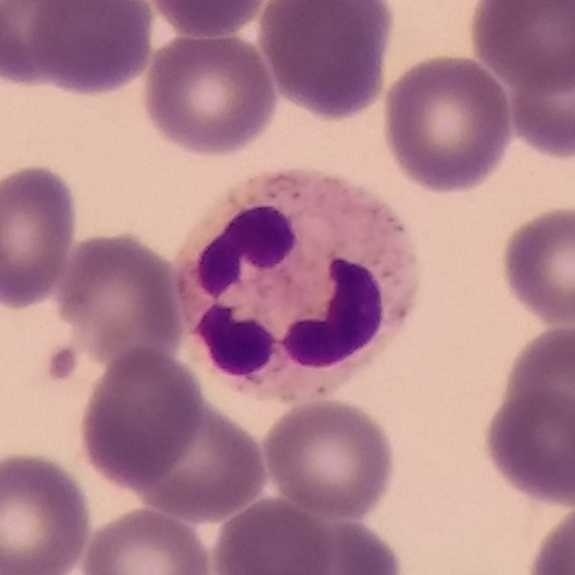

Showing a neutrophilic granulocyte.

Acquisition: Peripheral blood film; phone-camera image taken through the microscope ocular.